Image size 575×575; peripheral blood smear; single white blood cell cropped from the smear photograph:
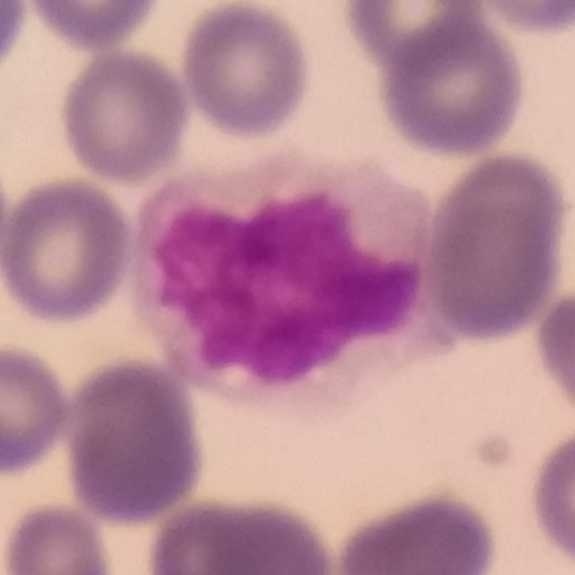
Classification: monocyte.